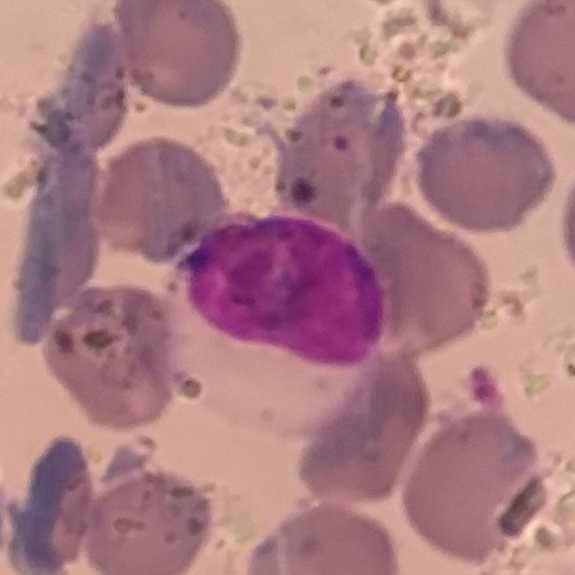
Peripheral blood film. White blood cell type — lymphocyte.